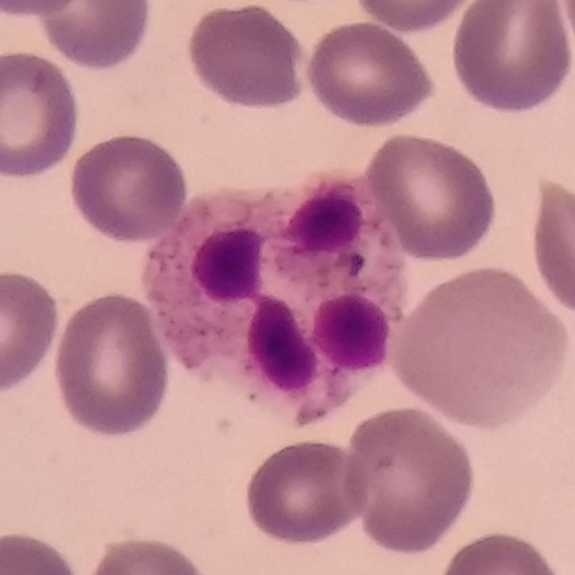The morphological class is neutrophil granulocyte.
Acquisition: Peripheral blood film.